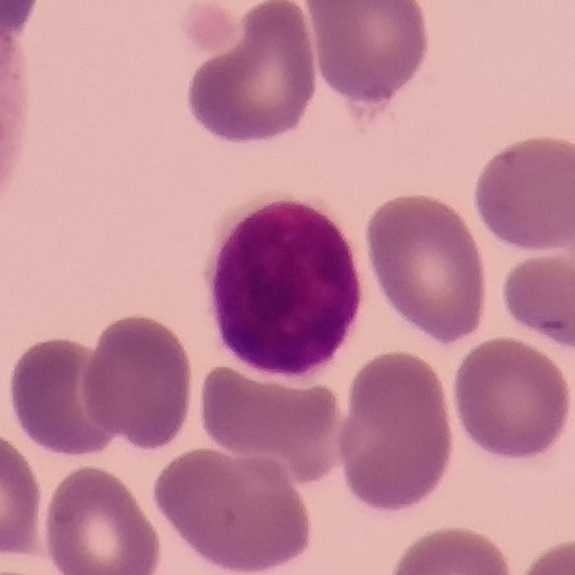Acquisition: Peripheral blood film.
Morphology → lymphocyte.